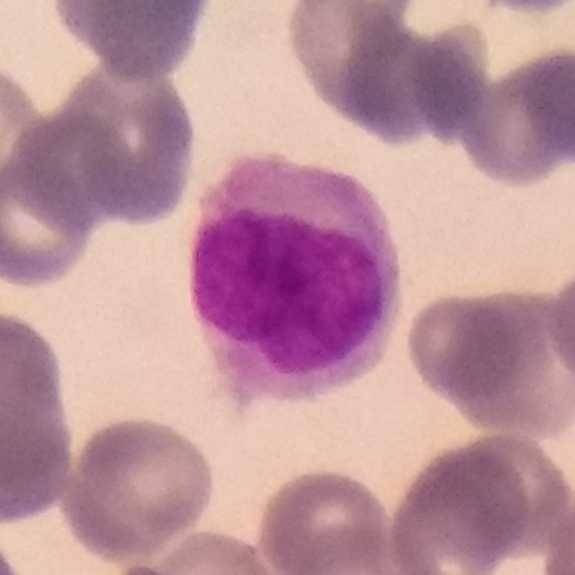 Impression — monocyte.